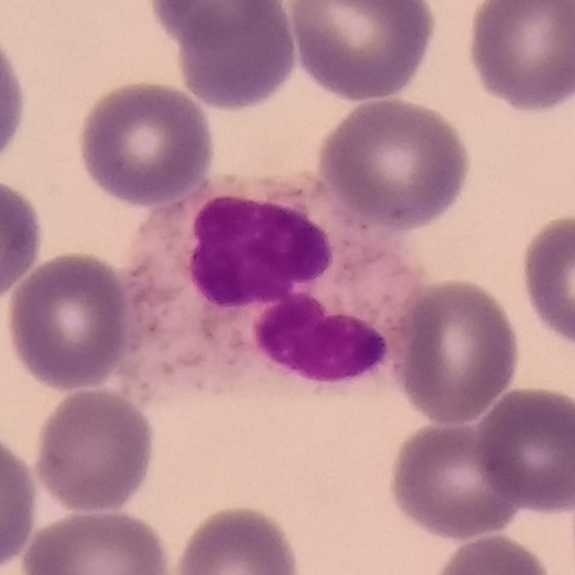

{"cell_type": "neutrophilic granulocyte", "lineage": "myeloid"} Preparation: Peripheral blood film.